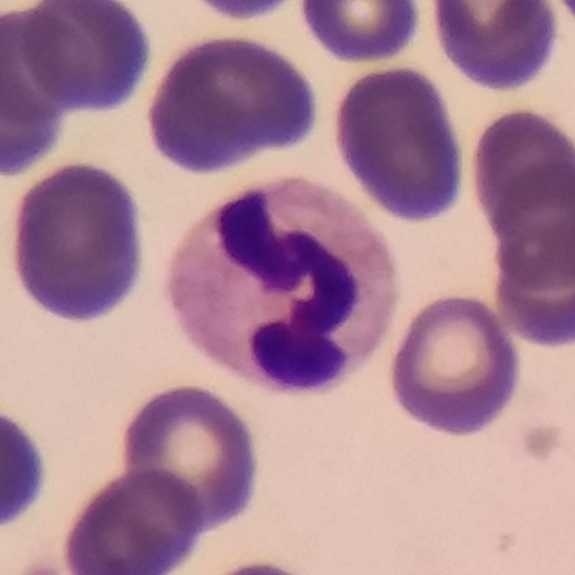 Neutrophilic granulocyte.
Preparation: Peripheral blood smear. Single white blood cell cropped from the smear photograph.